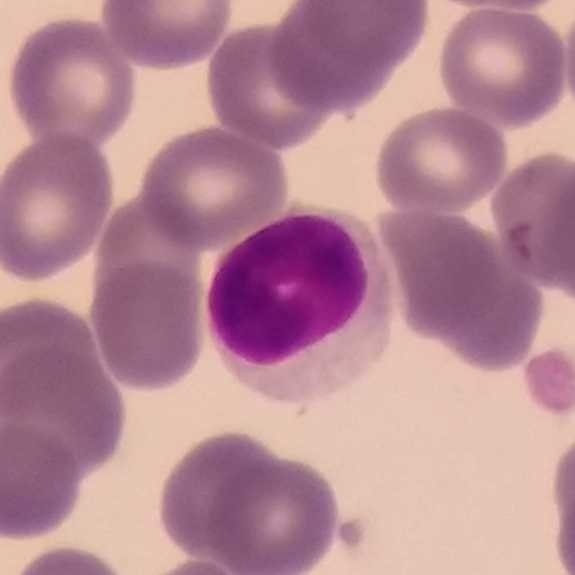

Identified as a lymphocyte.

Peripheral blood film.